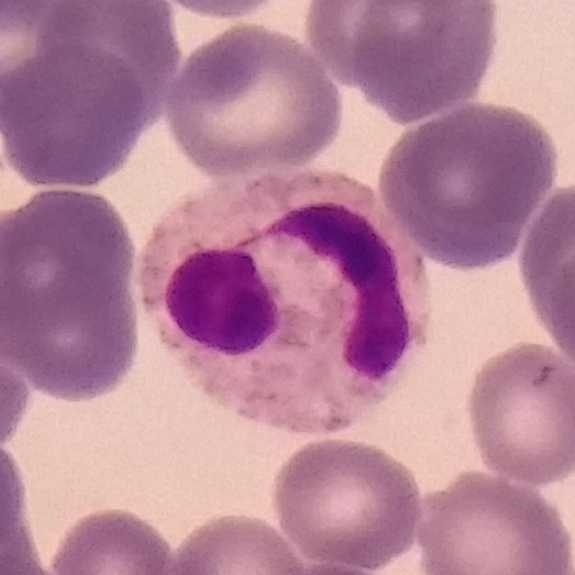
Cell type = neutrophilic granulocyte.
Peripheral blood smear.